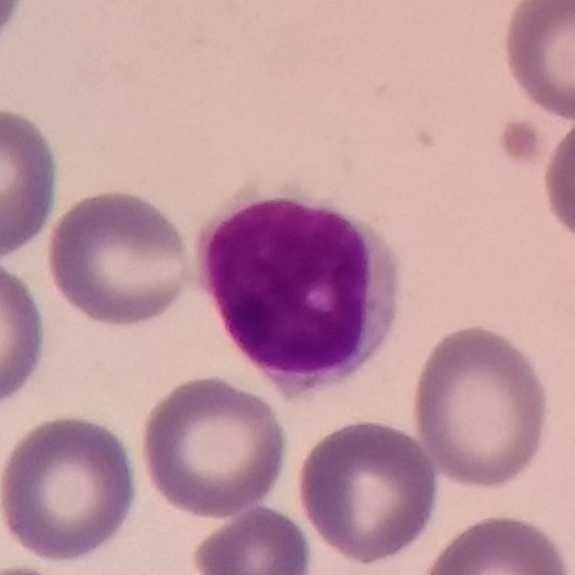
A lymphocyte.
Peripheral blood film.